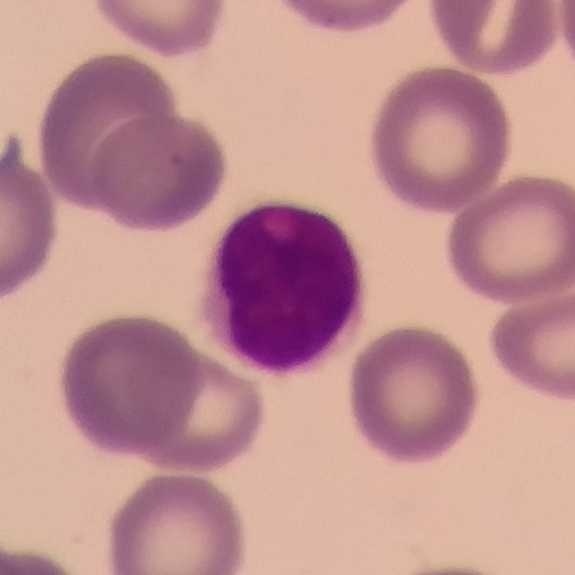

Image: Peripheral blood smear. Image size 575×575.
Cell: lymphocyte.